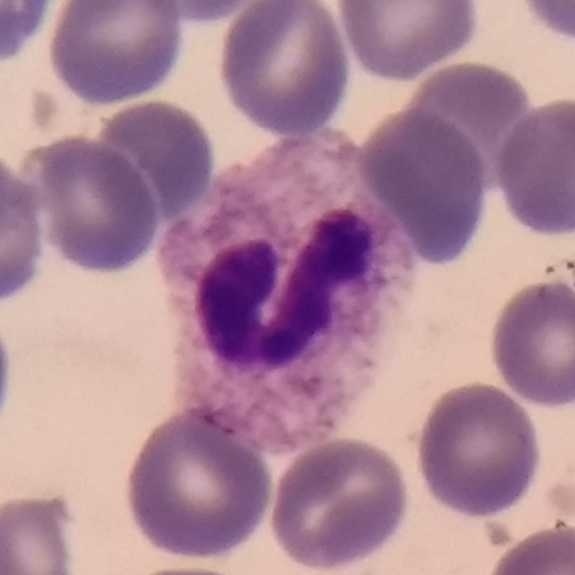

The white blood cell in this image is a neutrophil granulocyte. Acquisition: Peripheral blood film.